575×575 px. Peripheral blood smear
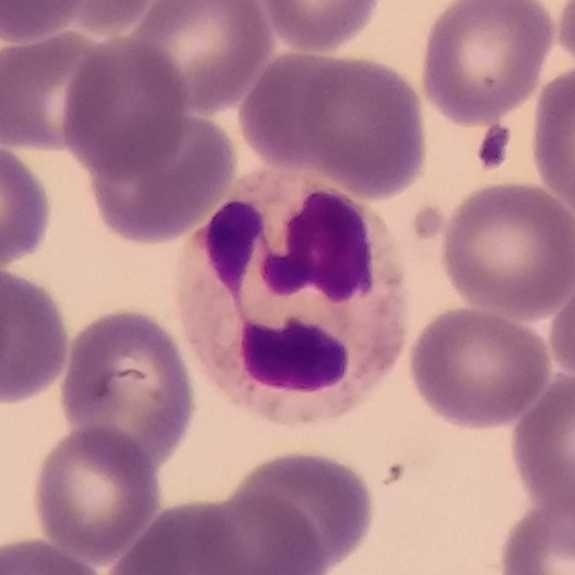 Morphology → neutrophil granulocyte.